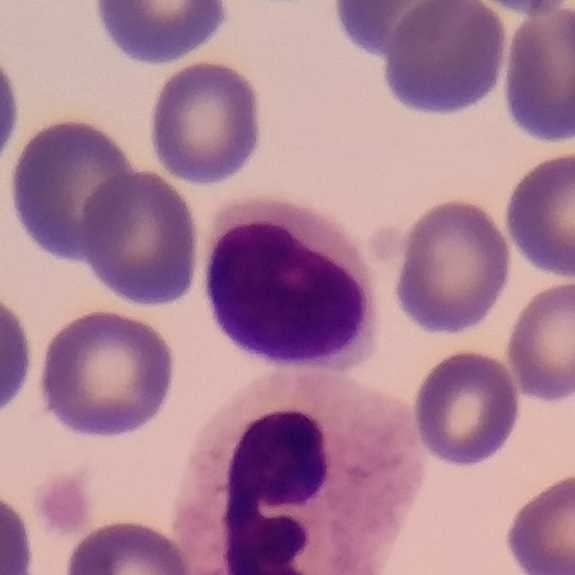
Context: 100× magnification. Peripheral blood film.

Q: Which cell type is shown here?
A: Lymphocyte.